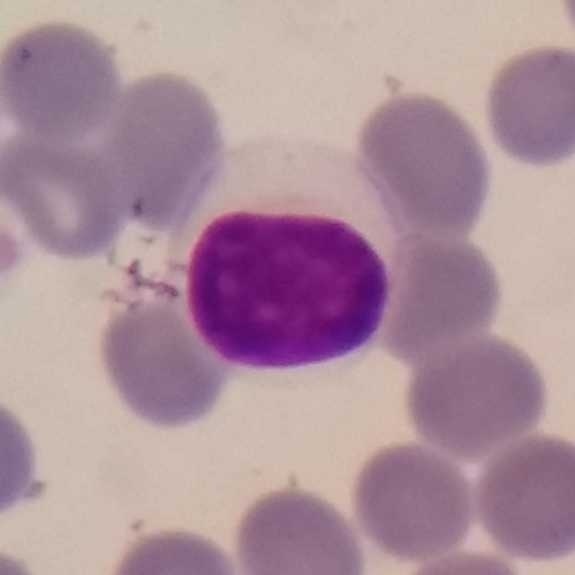

100× magnification.
Specimen: peripheral blood smear.
White blood cell type: lymphocyte.
Lineage: lymphoid.